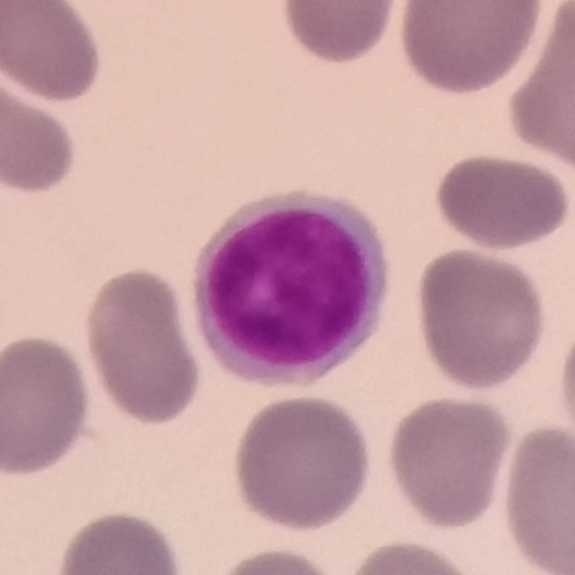

Peripheral blood smear. Image size 575×575. Q: Classify this leukocyte.
A: It is a lymphocyte.